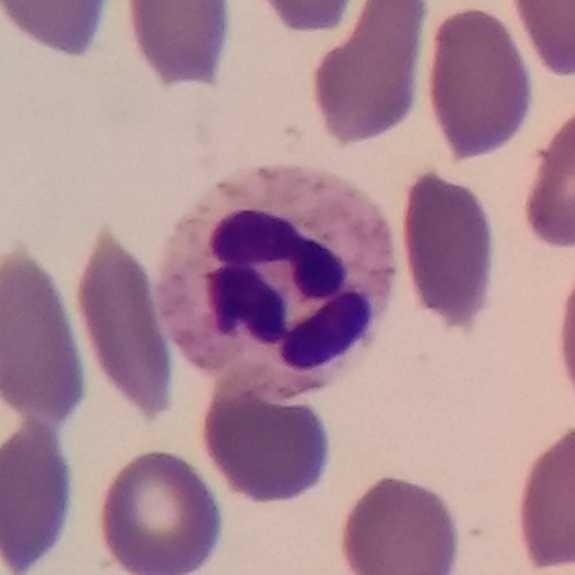
575×575 px.
Specimen: peripheral blood smear.
Classification: neutrophil granulocyte.